Peripheral blood smear: 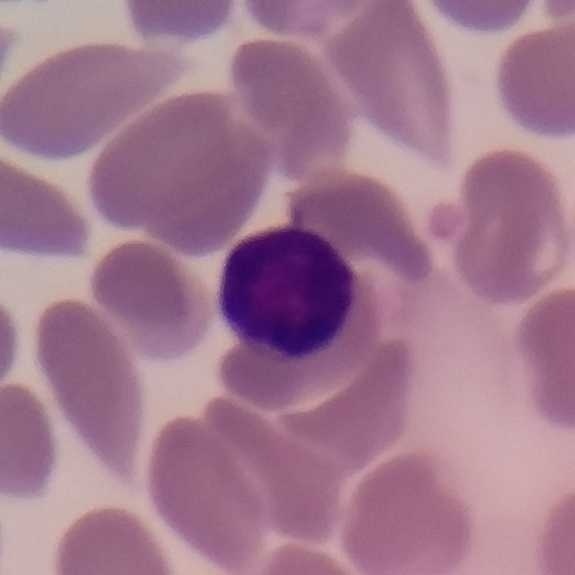Cell type: lymphocyte.